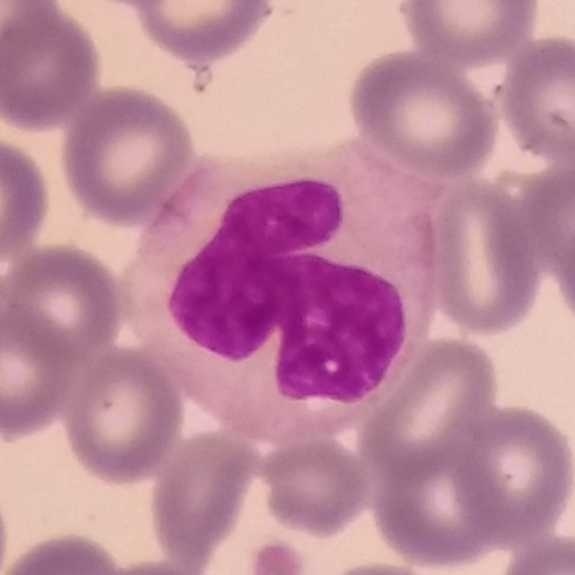 White blood cell type — monocyte.